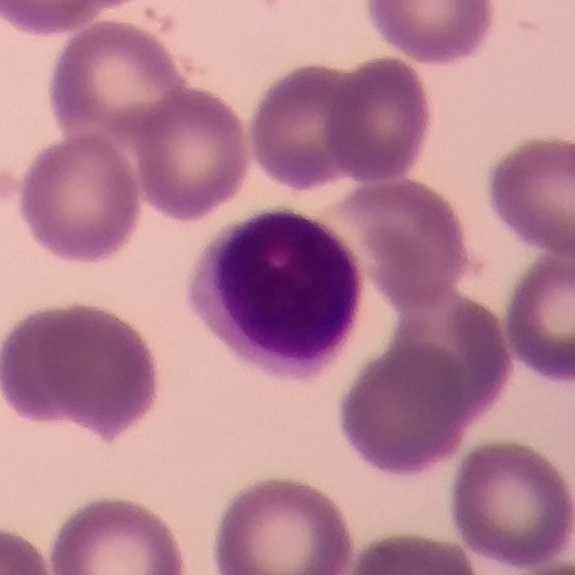
A lymphocyte.